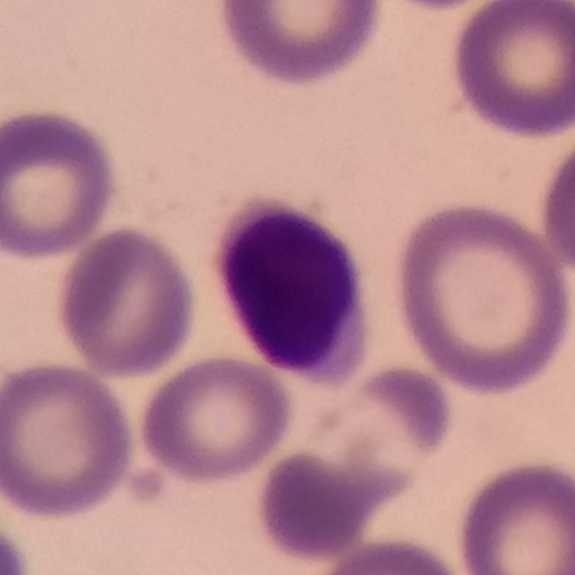Classification = lymphocyte.